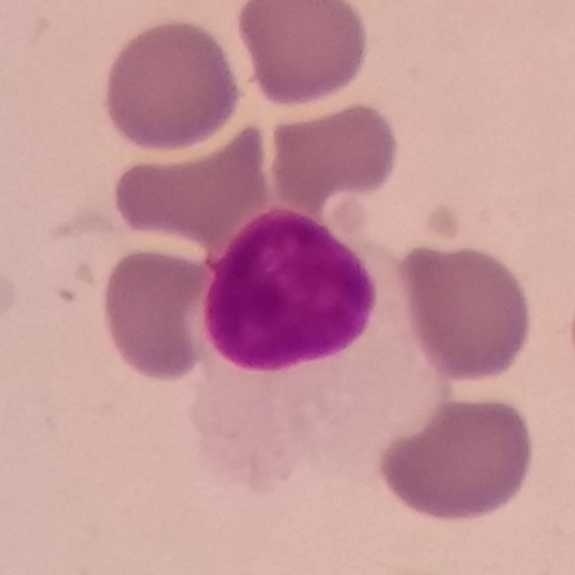
The classification is lymphocyte.